Peripheral blood film · Giemsa-stained
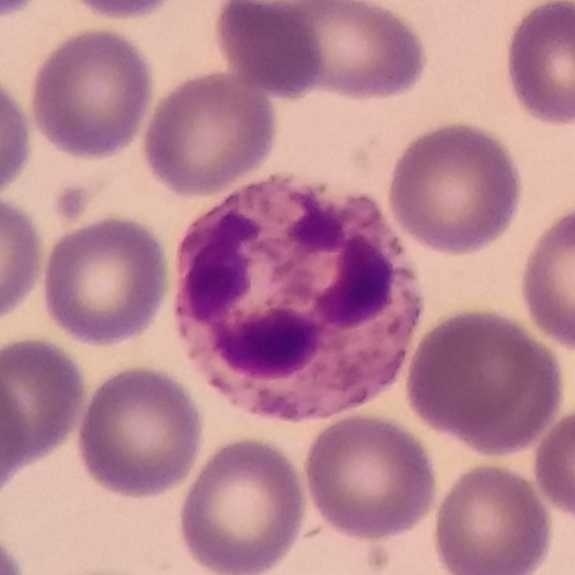

This is a neutrophil.